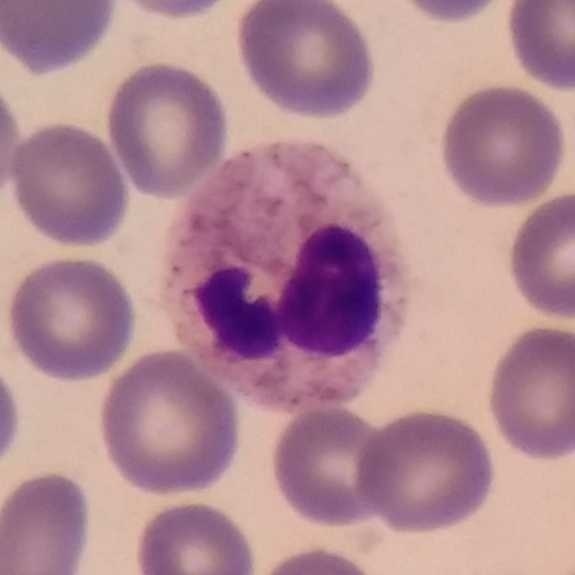
Q: Classify this leukocyte.
A: Neutrophil.